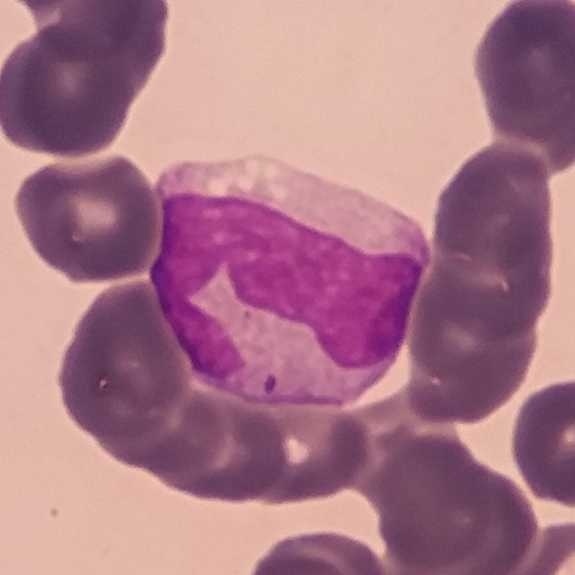Giemsa stain; imaged at 100×; peripheral blood film.
Cell type: monocyte.